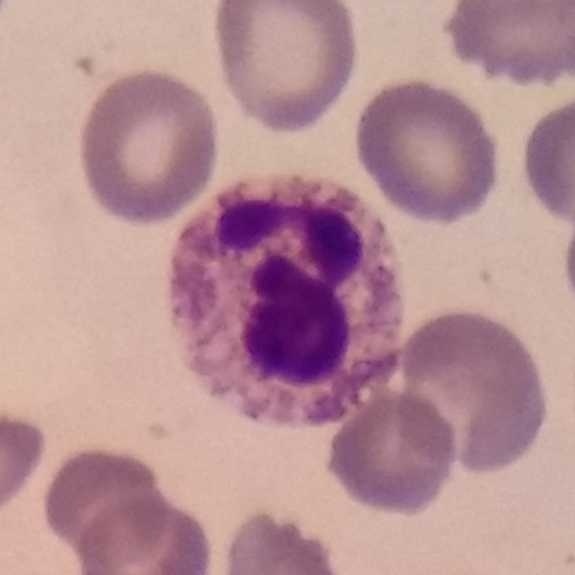

Acquisition: Peripheral blood smear · cropped to one leukocyte · stained with Giemsa.

This is a neutrophil.